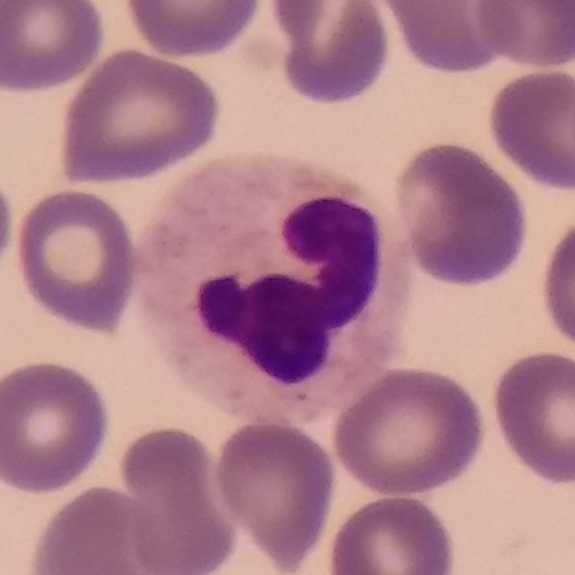The cell type is neutrophil. 575×575. Peripheral blood smear.